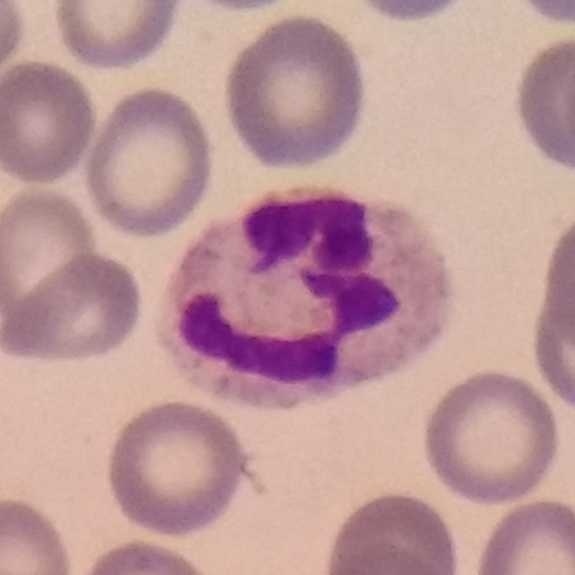

Morphology — neutrophil. Peripheral blood smear.